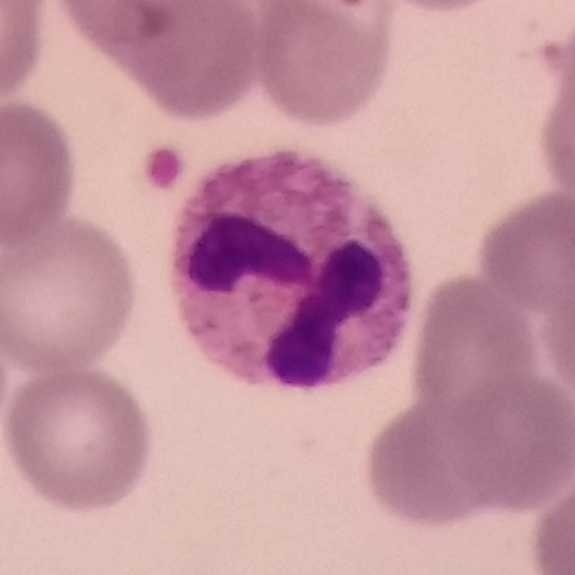

Classification = neutrophilic granulocyte.